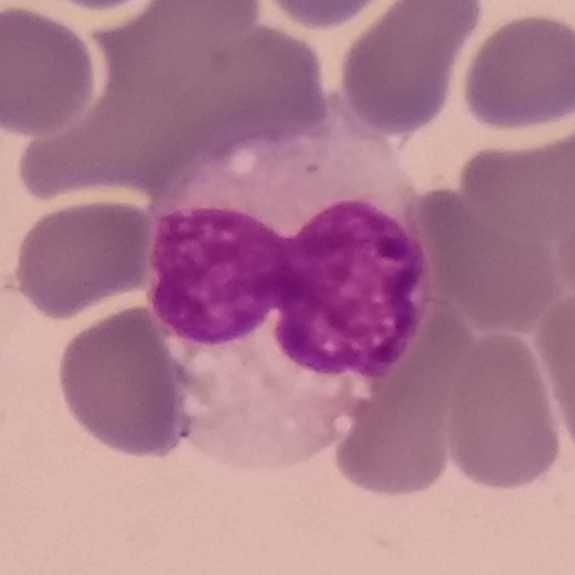
Acquisition: Phone-camera image taken through the microscope ocular. Peripheral blood smear. This is a monocyte.